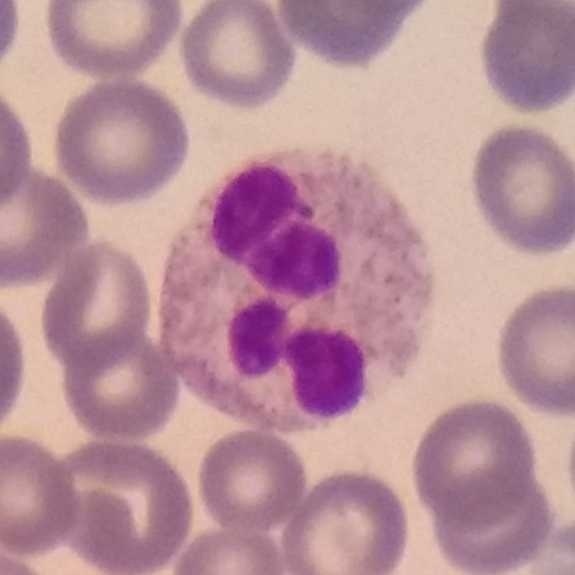Q: What is shown here?
A: Neutrophil granulocyte.